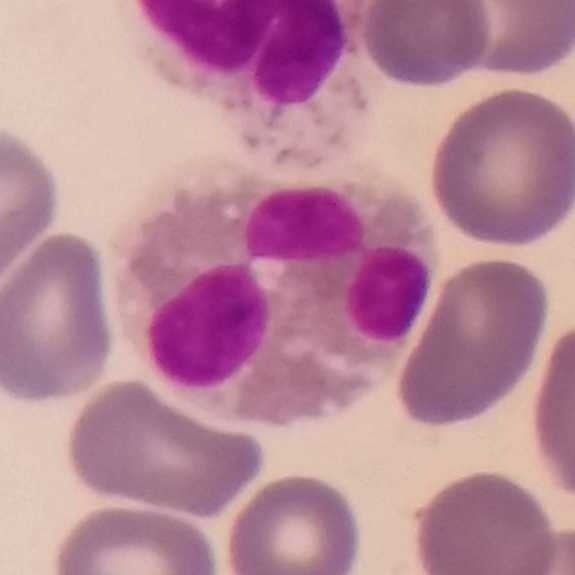

Specimen: peripheral blood smear.
White blood cell type: eosinophilic granulocyte.